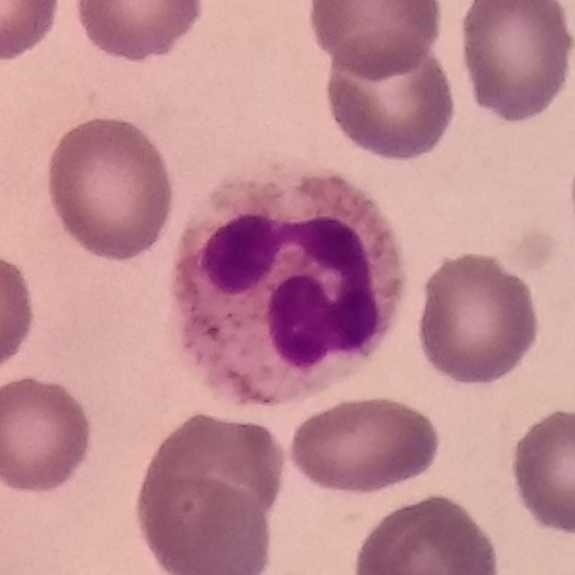Showing a neutrophil. Acquisition: Smartphone photomicrograph. Peripheral blood smear.